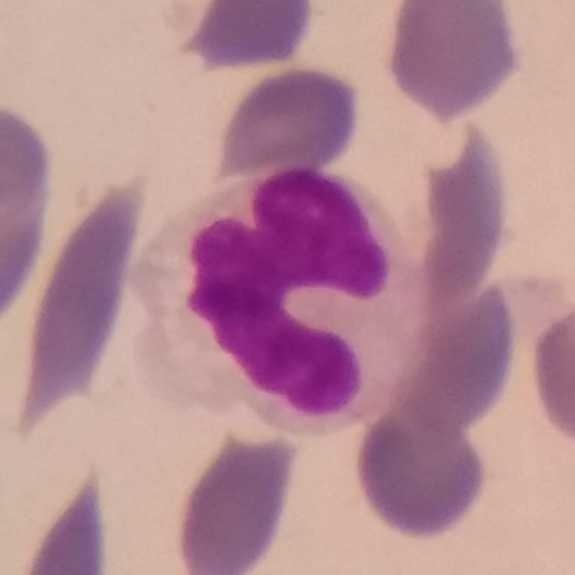
Context: Peripheral blood film; smartphone photomicrograph.
Q: What type of cell is this?
A: A monocyte.